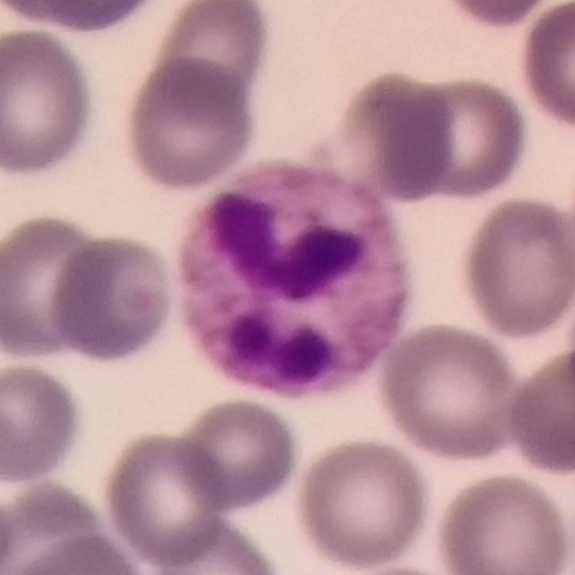 Q: Classify this leukocyte.
A: Neutrophil granulocyte.
Peripheral blood smear.